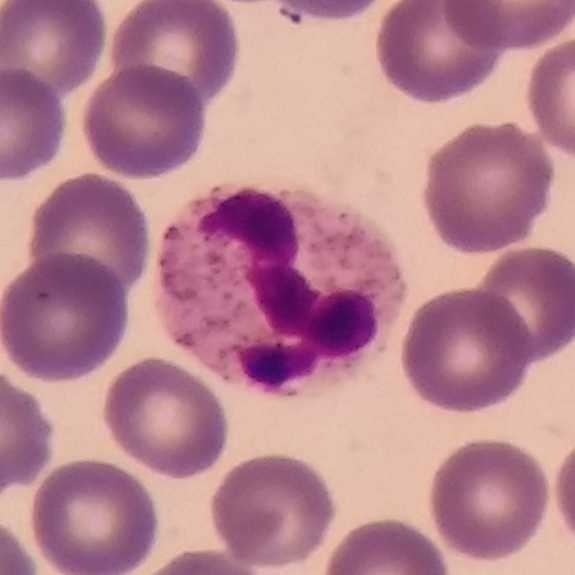Morphological class — neutrophil granulocyte.
Peripheral blood smear.